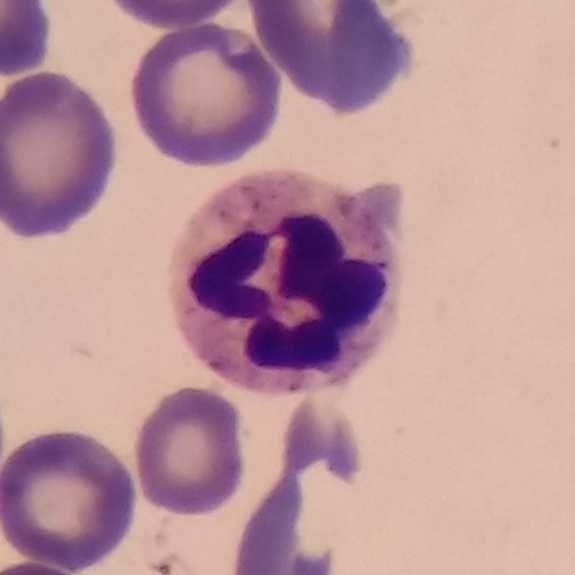 Peripheral blood film, single cell — neutrophilic granulocyte.